Peripheral blood film; photographed through a light microscope with a smartphone camera; imaged at 100×.
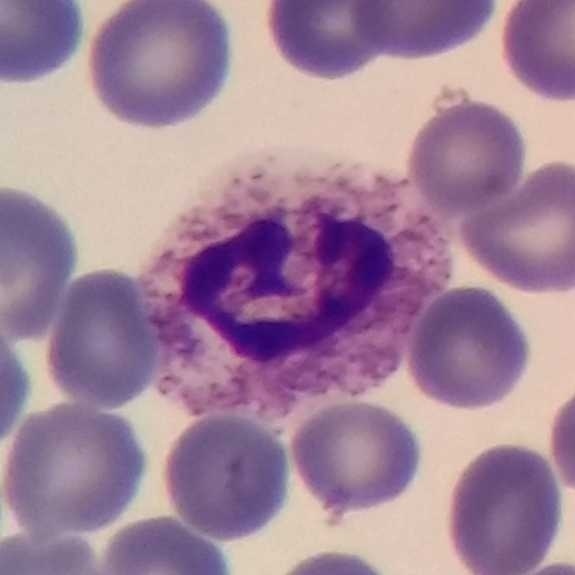

Showing a neutrophil granulocyte.